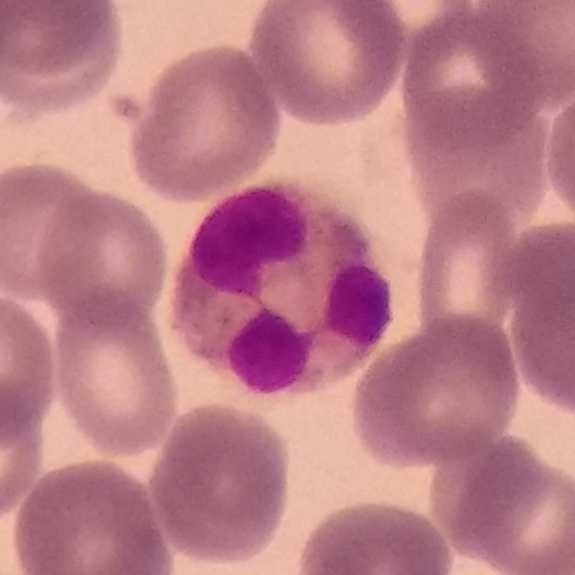

Peripheral blood film; 100× magnification; smartphone camera mounted on the microscope eyepiece. Impression → eosinophil.